Peripheral blood film. Single-cell crop
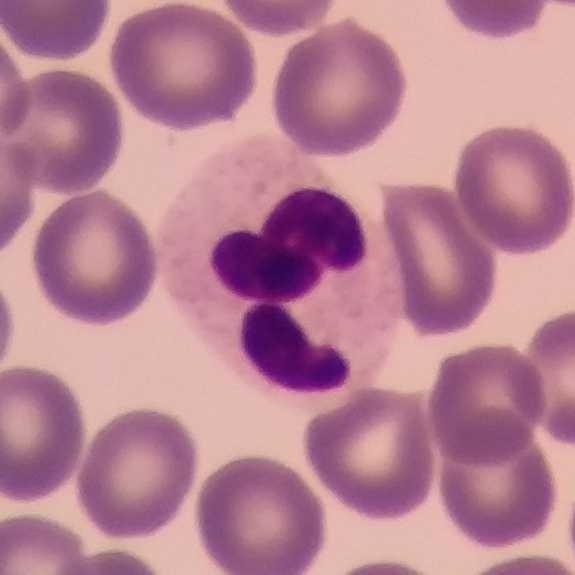
Morphological class = neutrophilic granulocyte.